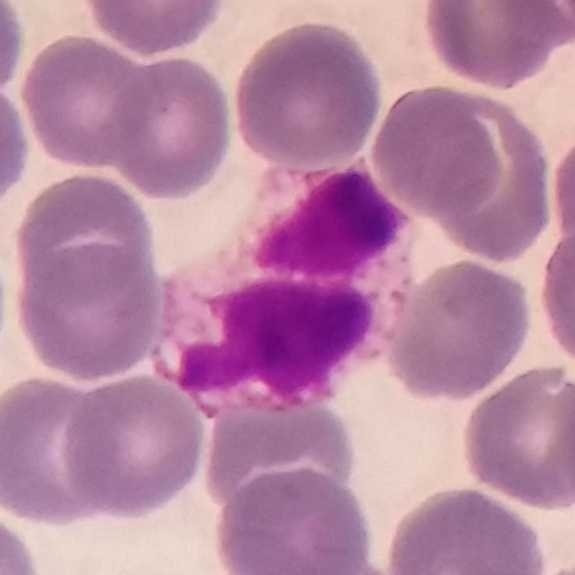 Specimen: peripheral blood smear.
Cell: neutrophilic granulocyte.
Lineage: myeloid.

Context: Imaged at 100×.